Peripheral blood smear. Single white blood cell cropped from the smear photograph. 575×575 px — 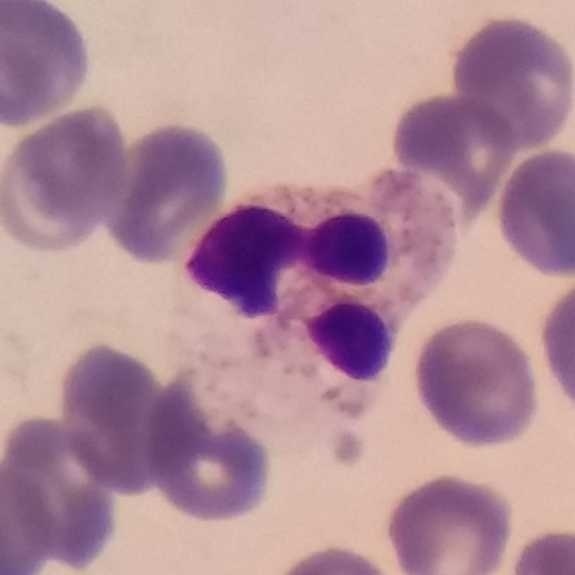Specimen: peripheral blood film.
Morphological class: neutrophil granulocyte.